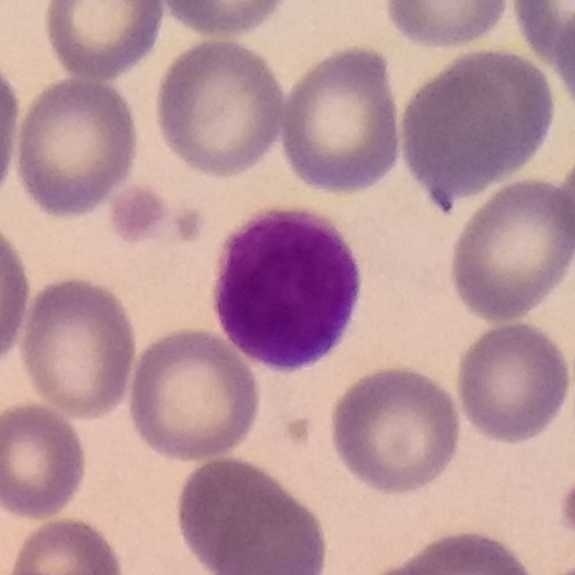

Context: Peripheral blood film. Q: Classify this leukocyte.
A: Lymphocyte.